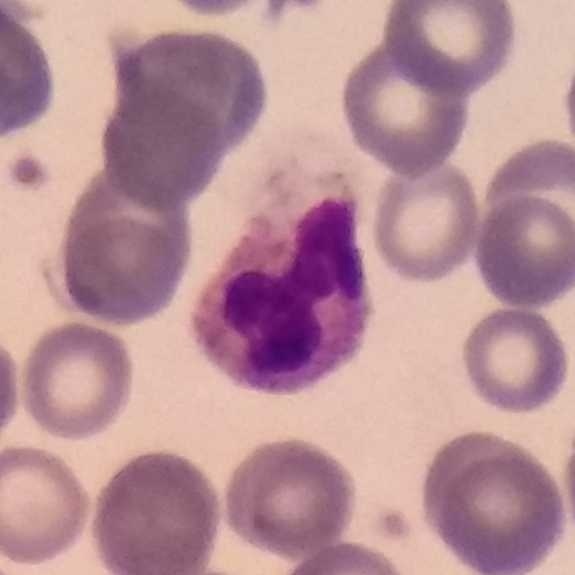 Specimen: peripheral blood smear.
Classification: neutrophil.
Lineage: myeloid. Image: Giemsa-stained.